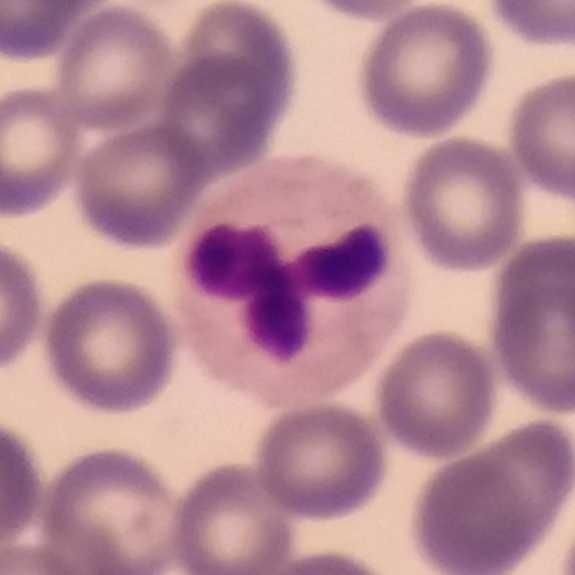 The cell type is neutrophilic granulocyte. Preparation: Peripheral blood smear.